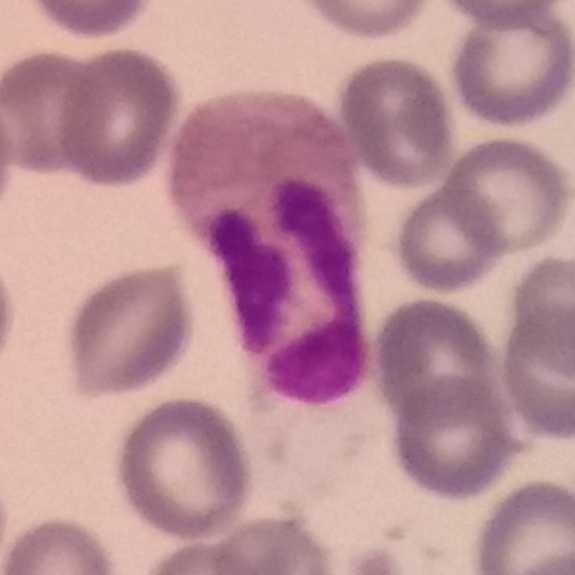 Peripheral blood film.

The classification is neutrophilic granulocyte.